100× magnification · smartphone photomicrograph · peripheral blood film: 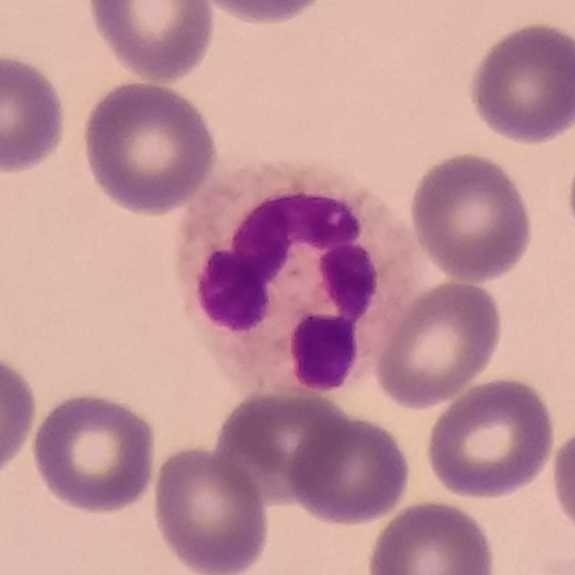
Specimen: peripheral blood smear.
Cell: neutrophil granulocyte.